Peripheral blood film: 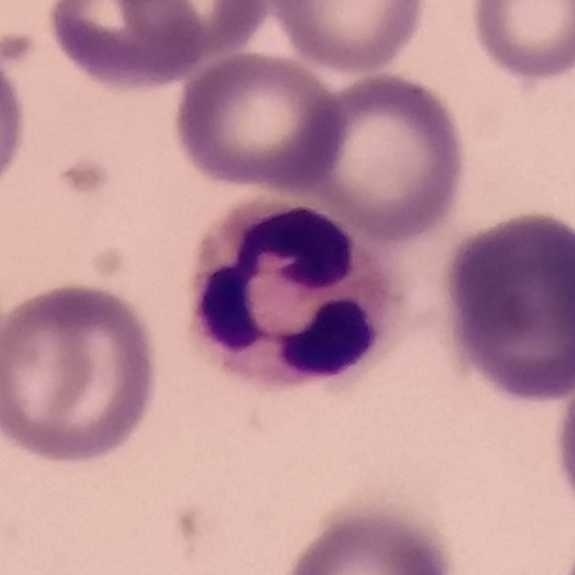
White blood cell type = neutrophil granulocyte.